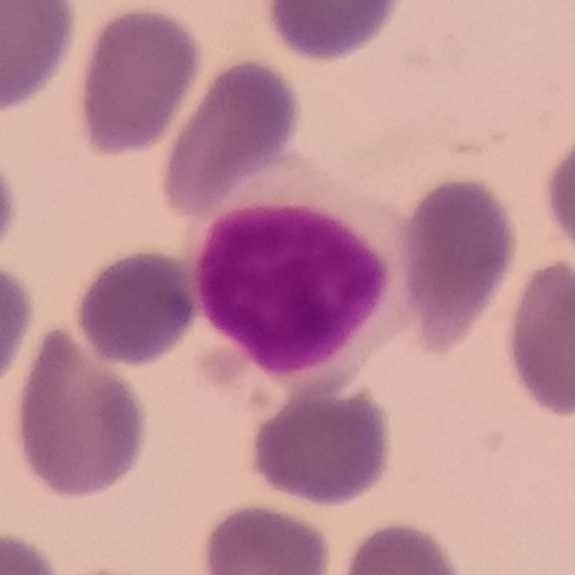 The morphological class is lymphocyte.

Preparation: Peripheral blood film.